Peripheral blood film. Smartphone photomicrograph. Magnification 100×: 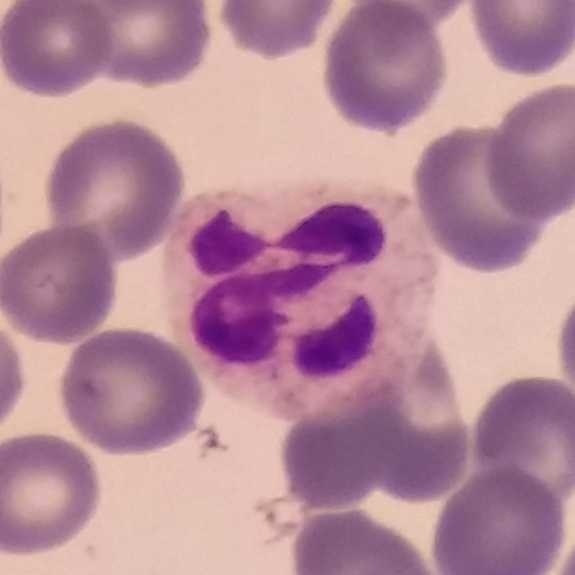 Q: Classify this leukocyte.
A: Neutrophil.